Peripheral blood smear — 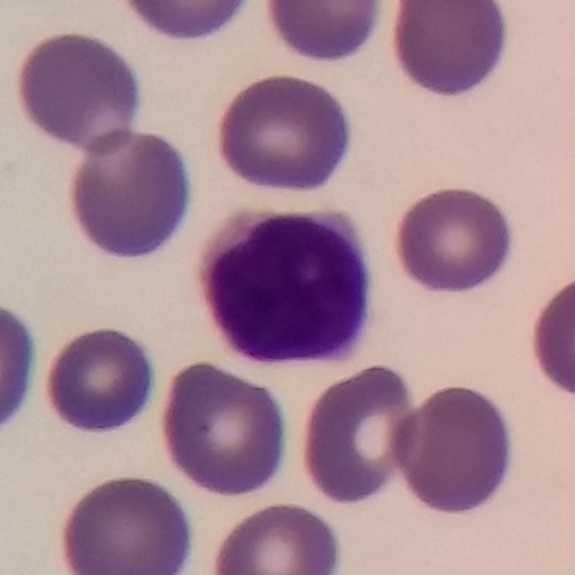 Showing a lymphocyte.